Peripheral blood smear.
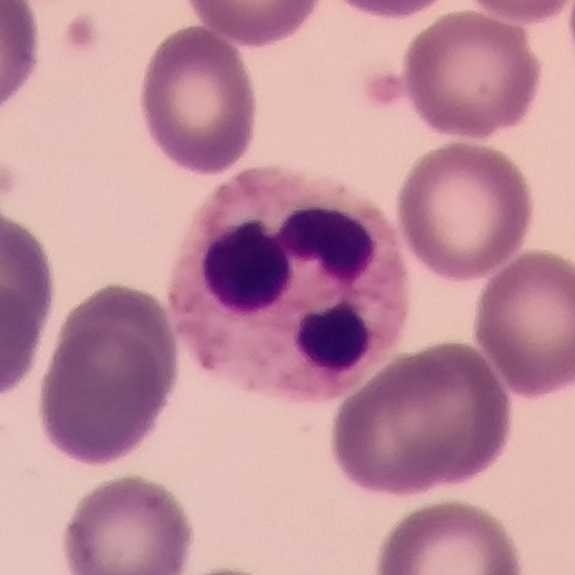The white blood cell in this image is a neutrophilic granulocyte.